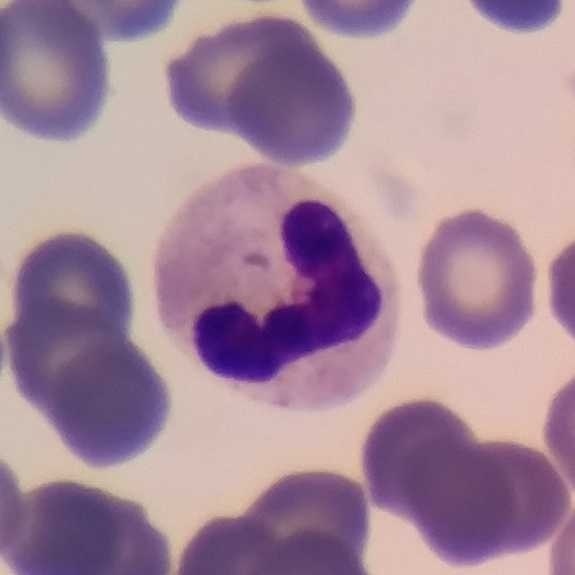Cell — neutrophil granulocyte.